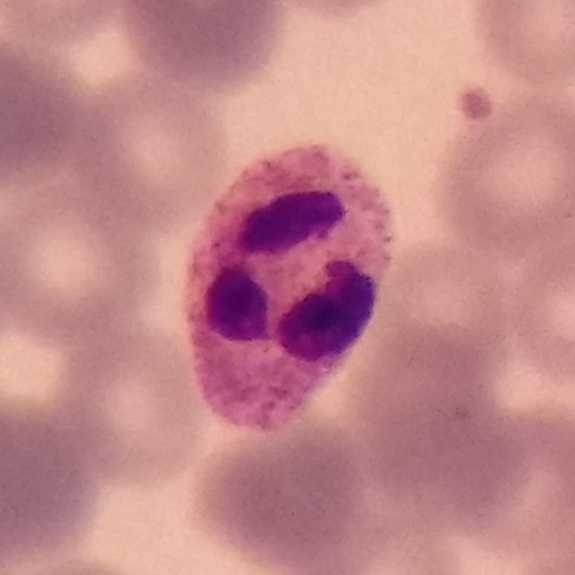 Q: Which type of white blood cell is this?
A: A neutrophil.
Peripheral blood smear.